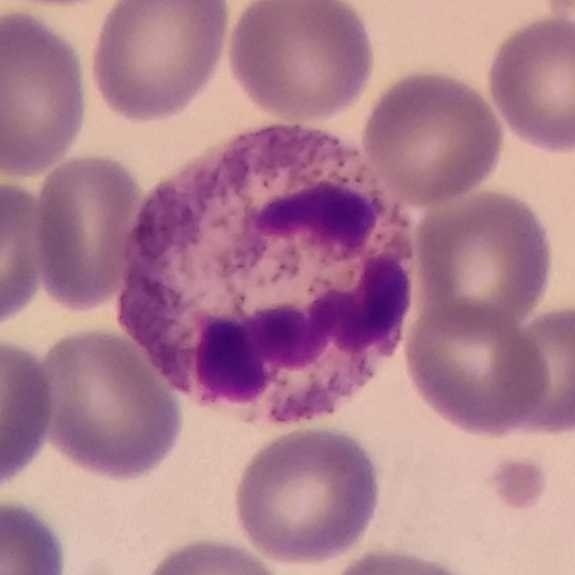 Neutrophil granulocyte.